Peripheral blood film; single-cell field — 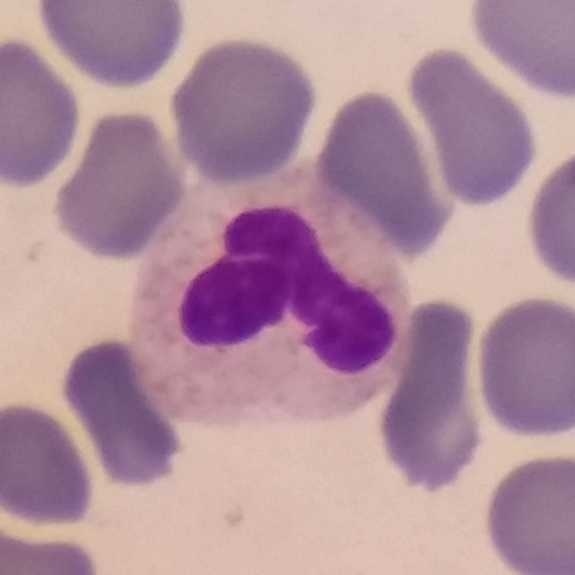
Showing a neutrophilic granulocyte.